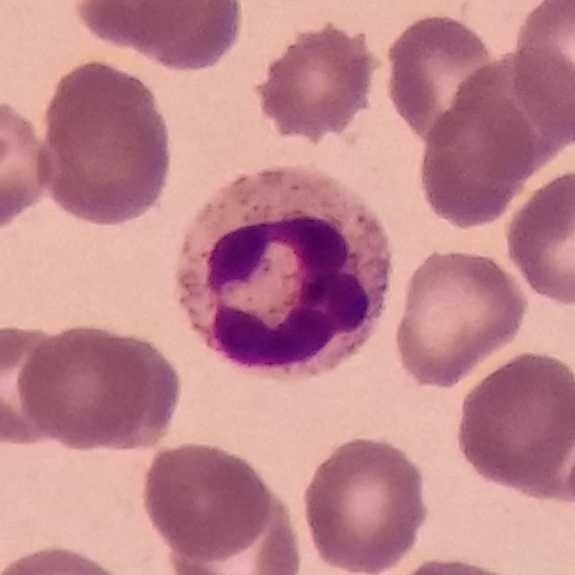Neutrophilic granulocyte.
Image size 575×575 · 100× magnification · peripheral blood film.